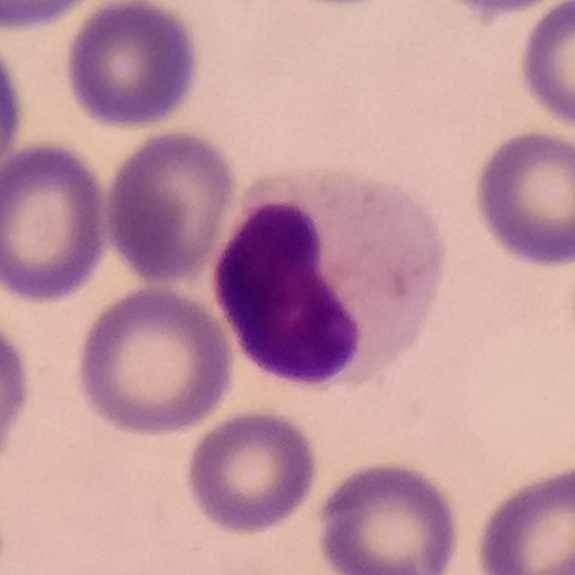

Peripheral blood film.

Single cell identified as a lymphocyte.